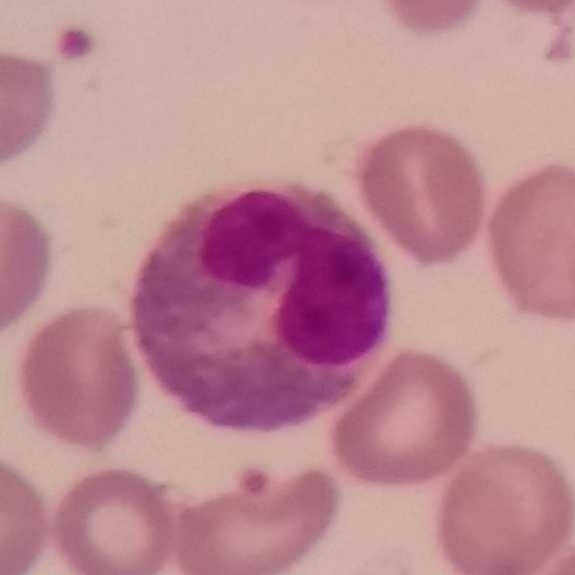 Specimen: peripheral blood smear.
Cell: eosinophilic granulocyte.
Lineage: myeloid.

Image: Photographed through a light microscope with a smartphone camera.